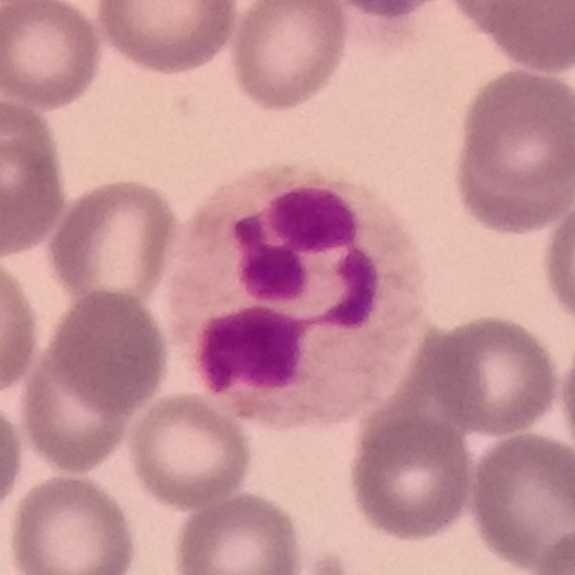
Morphological class — neutrophil granulocyte.